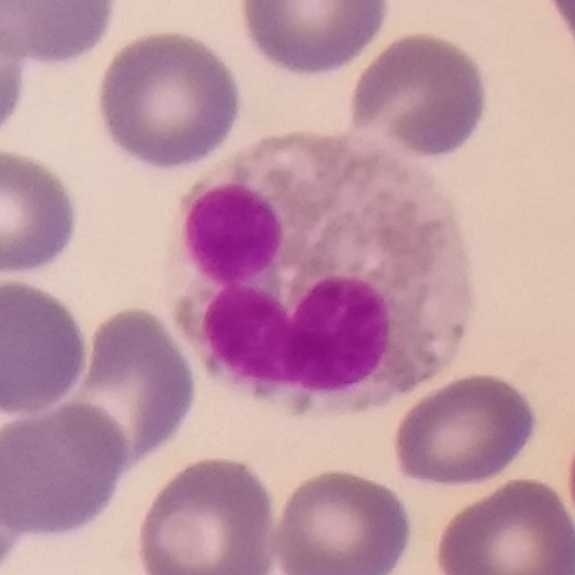Impression — eosinophil. Context: Peripheral blood film.